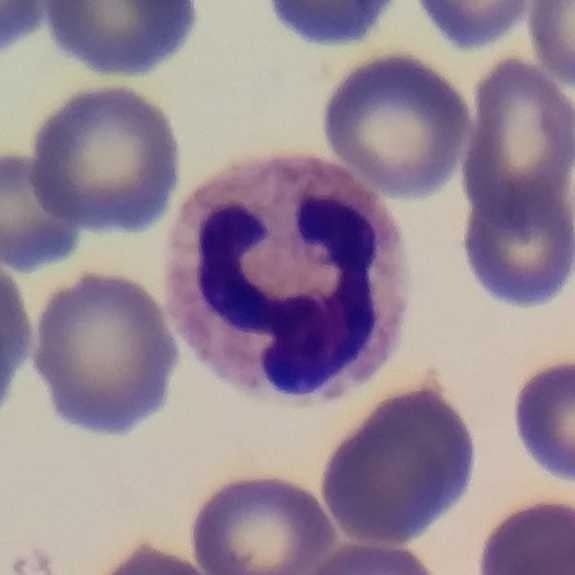Peripheral blood smear. Cropped to one leukocyte. Morphological class = neutrophilic granulocyte.